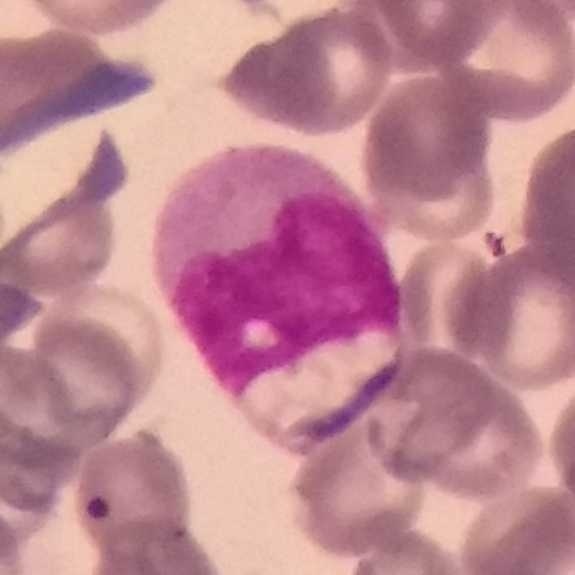Morphology → monocyte.

Context: Peripheral blood film. 575×575.